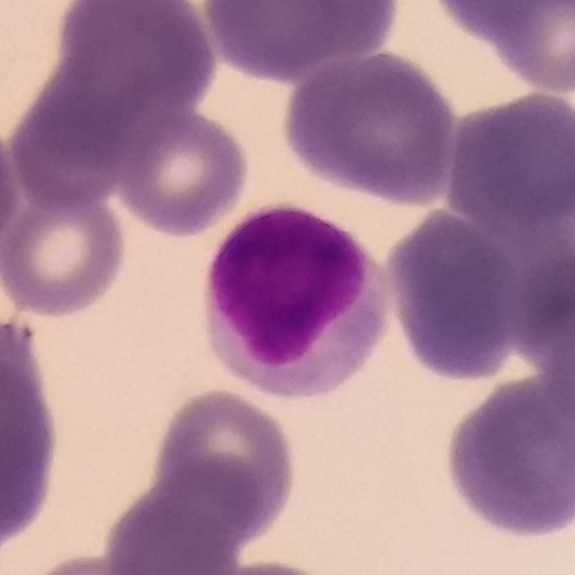
The white blood cell in this image is a lymphocyte.

Stained with Giemsa · single white blood cell cropped from the smear photograph · peripheral blood smear.